Peripheral blood film — 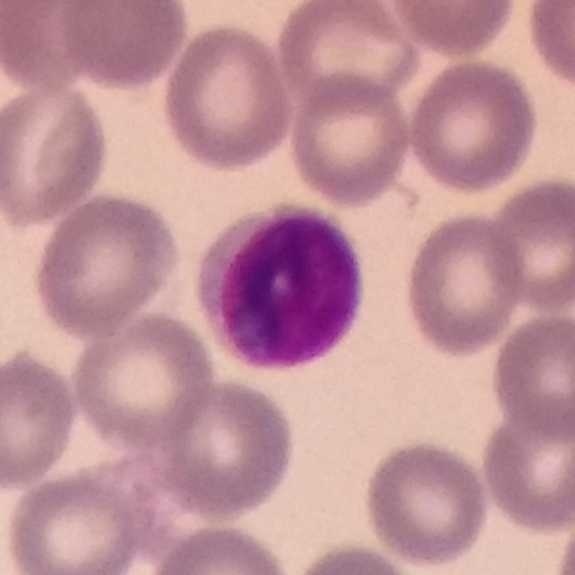
Identified as a lymphocyte.